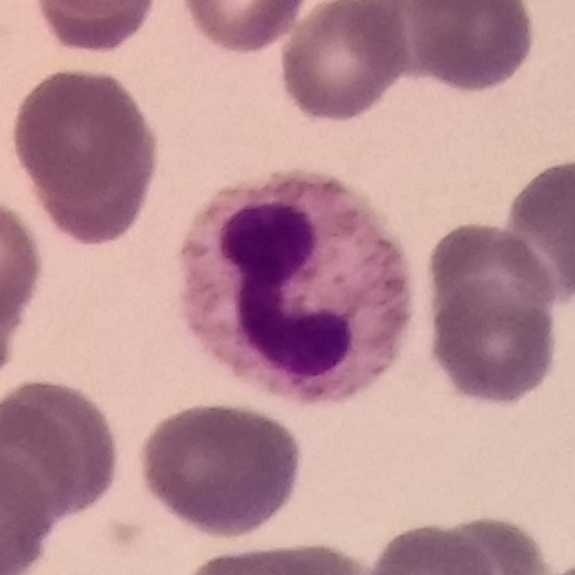
Single cell identified as a neutrophil granulocyte.
Acquisition: Peripheral blood film.